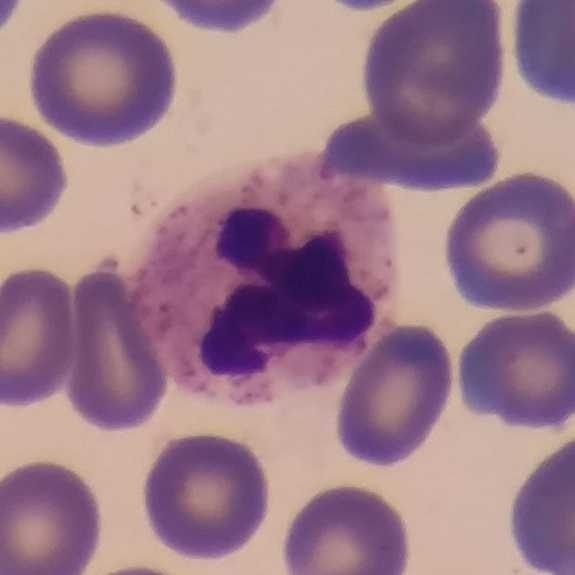
Peripheral blood film.

Showing a neutrophilic granulocyte.